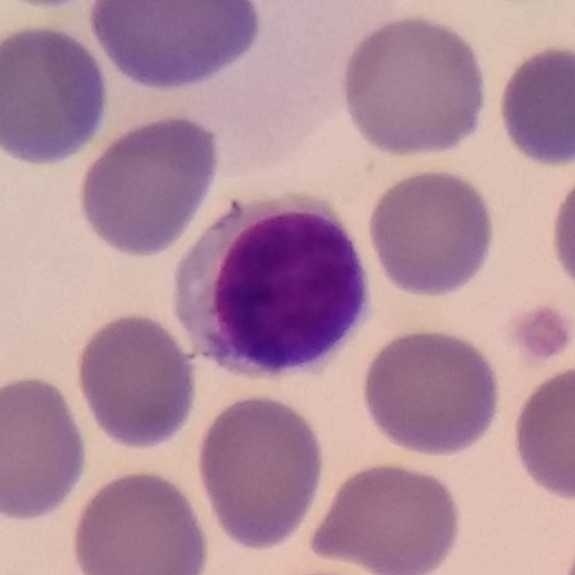Lymphocyte.